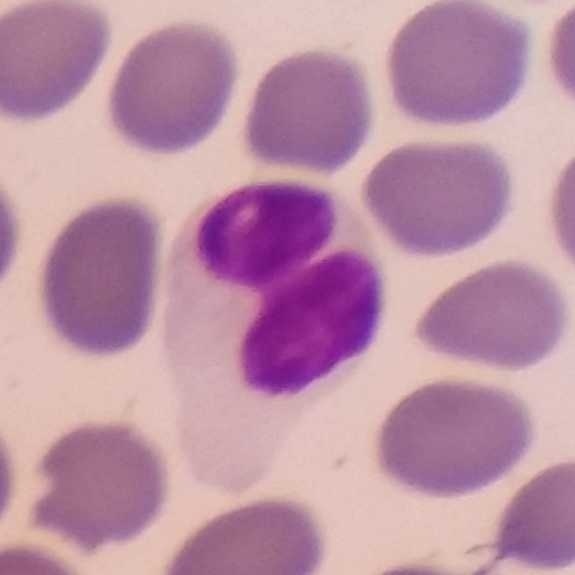
Acquisition: Peripheral blood smear.

A lymphocyte.